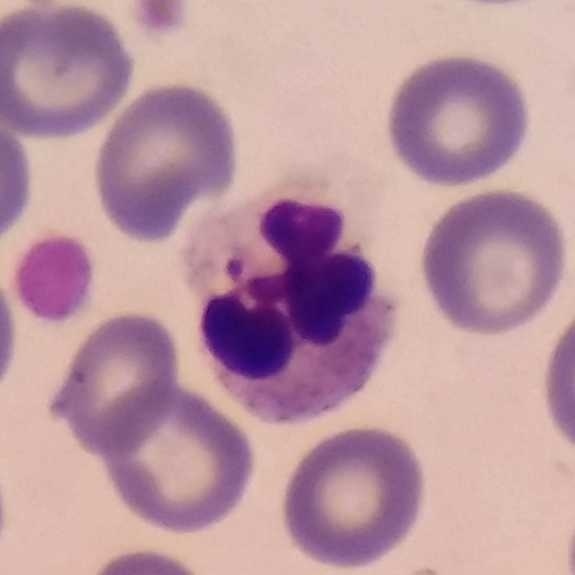 Cell = neutrophil.
Acquisition: Peripheral blood film.